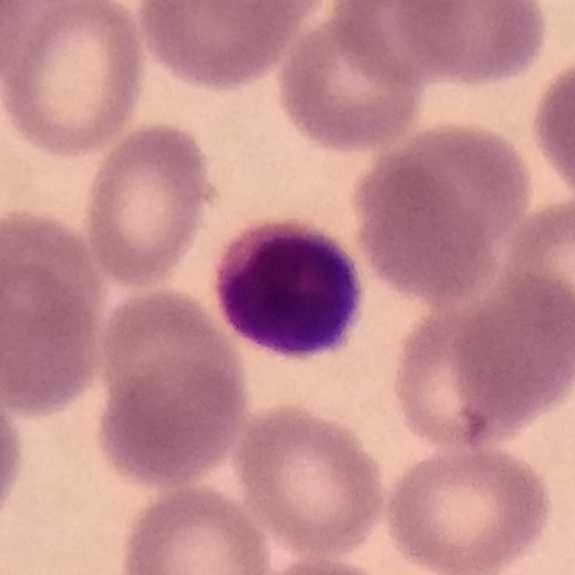 Acquisition: Peripheral blood smear. 575 by 575 pixels.

Lymphocyte.